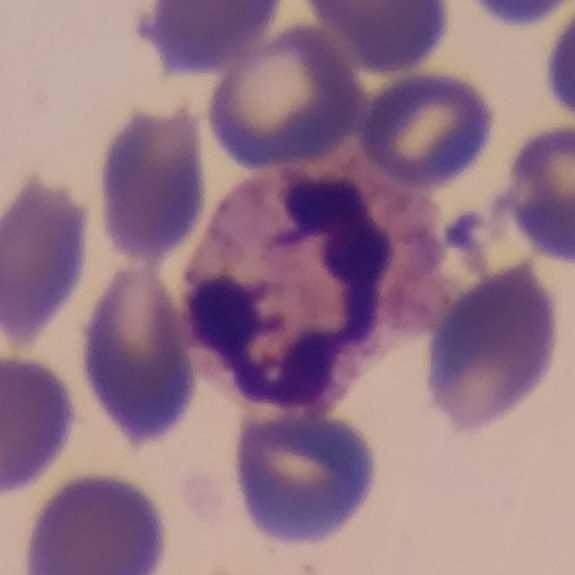 Context: Single-cell crop; Giemsa stain; peripheral blood film.
{"cell_type": "neutrophil granulocyte", "lineage": "myeloid"}